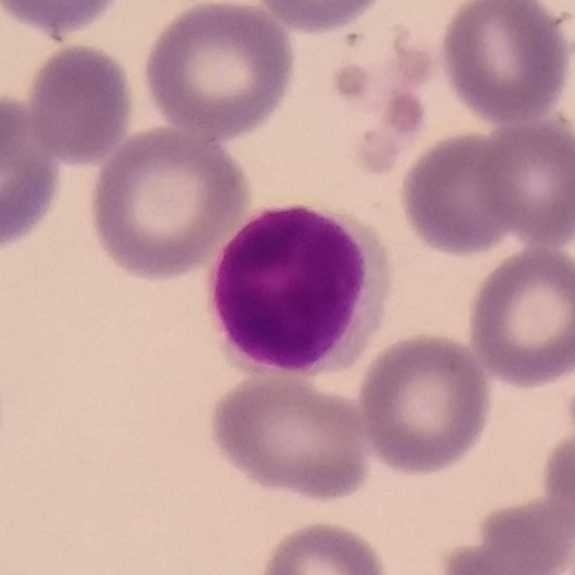 The cell is lymphocyte.

Image: Peripheral blood film.